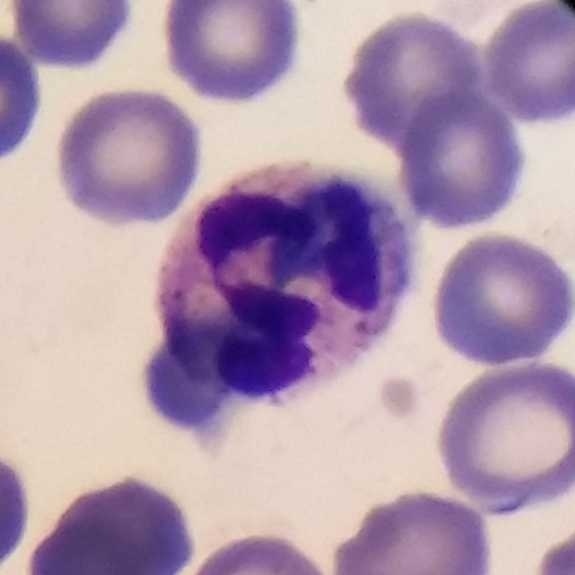

Image: Peripheral blood smear.
The white blood cell type is neutrophil.